Cropped to one leukocyte · peripheral blood film.
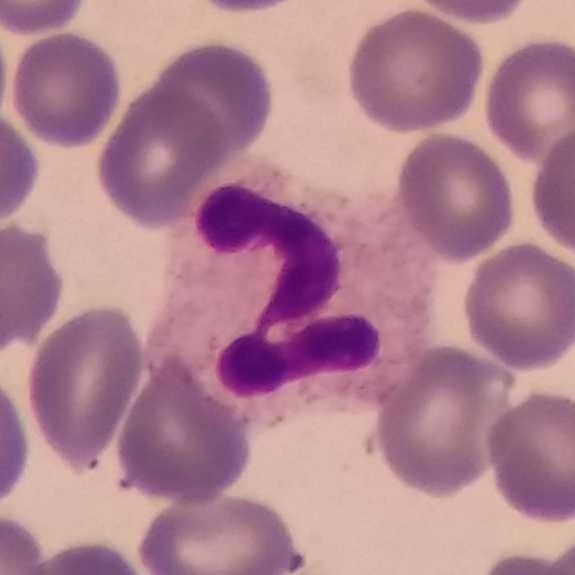 Q: What is this?
A: Neutrophilic granulocyte.